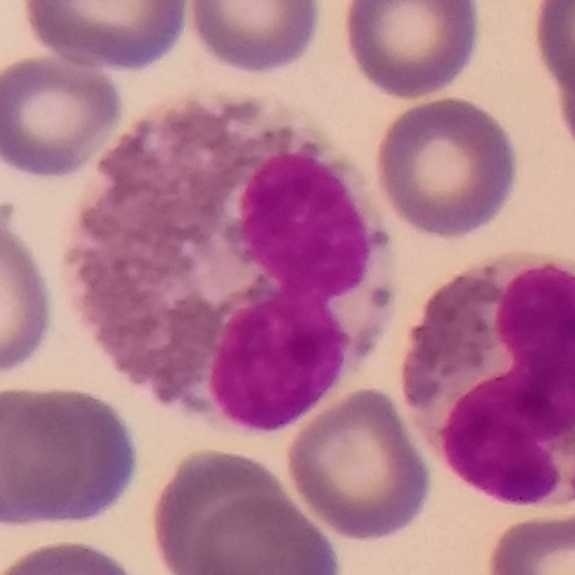Context: Peripheral blood smear · imaged at 100×. Showing an eosinophil.